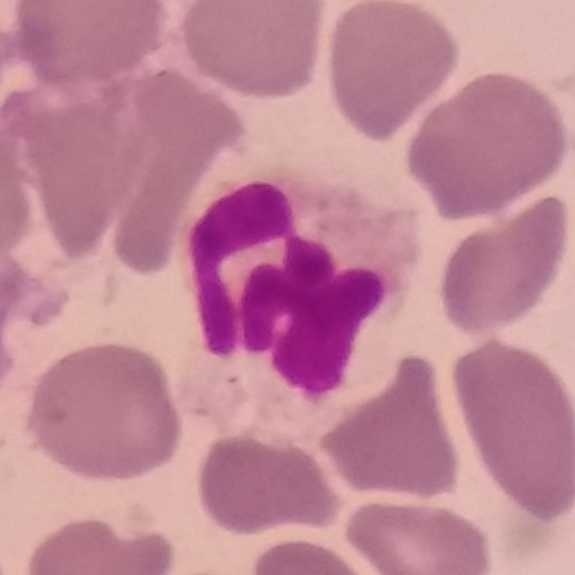
The white blood cell in this image is a neutrophilic granulocyte.